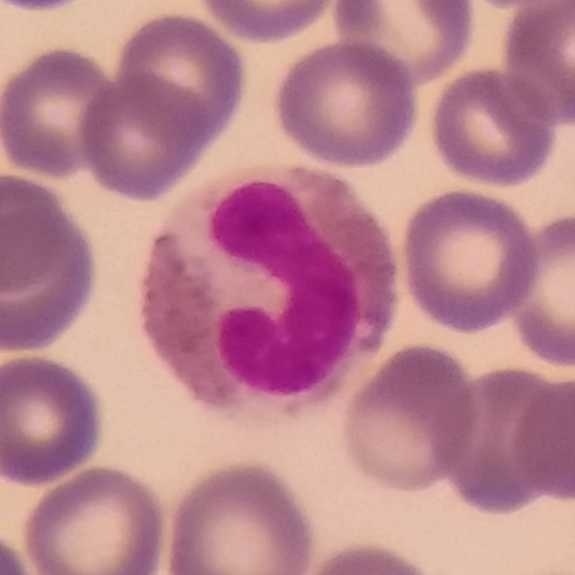

White blood cell type: eosinophil.